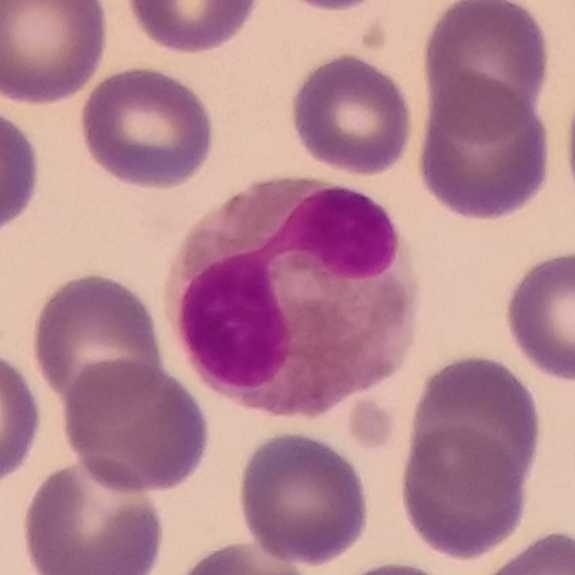

Acquisition: Peripheral blood film. Q: What is shown here?
A: It is an eosinophil.